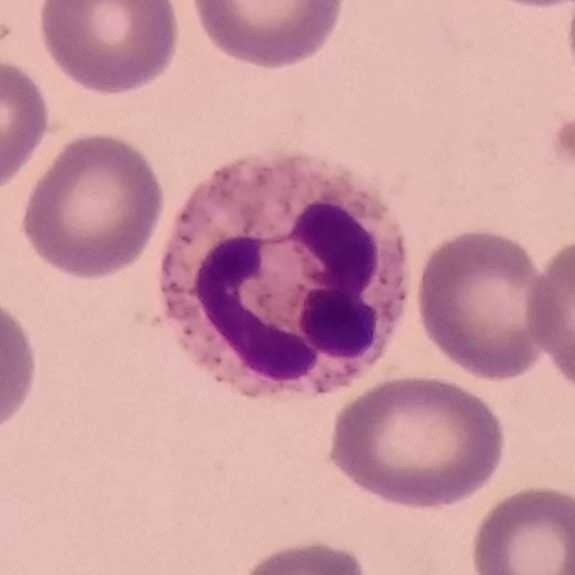Context: Peripheral blood film. 575×575 px. Photographed through a light microscope with a smartphone camera. Neutrophil.